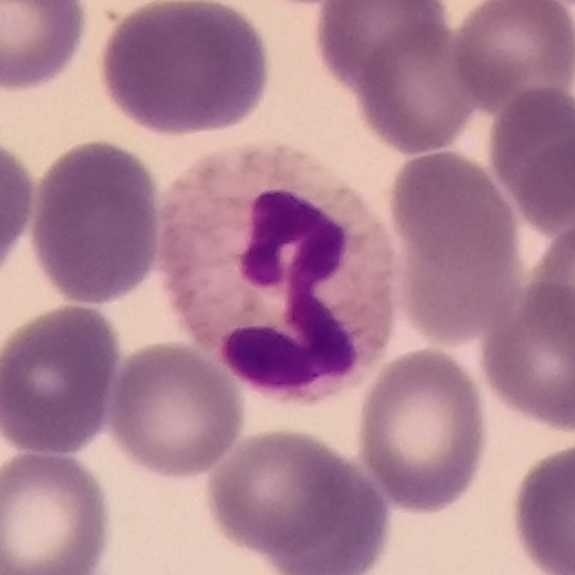Single cell identified as a neutrophil granulocyte.